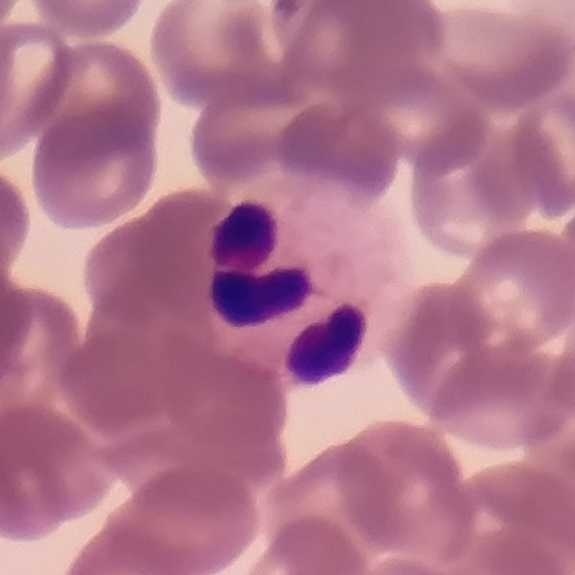

Q: Classify this leukocyte.
A: Neutrophilic granulocyte.